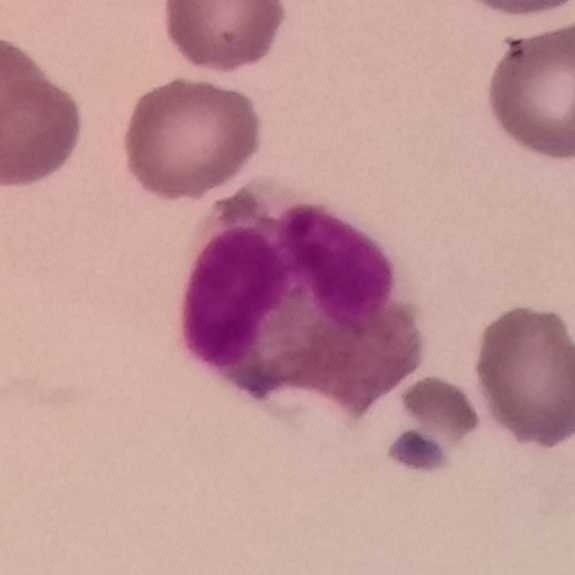Preparation: Peripheral blood smear.

Q: Which cell type is shown here?
A: It is an eosinophil.